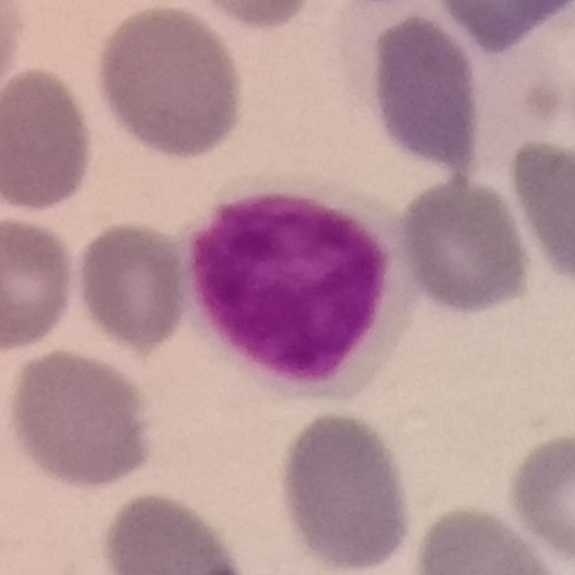 Acquisition: Peripheral blood film. The classification is lymphocyte.